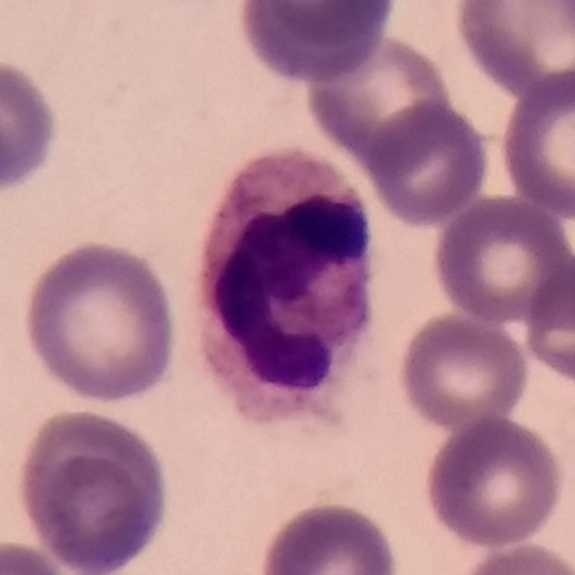 Single cell identified as a neutrophil.
Context: Peripheral blood smear.